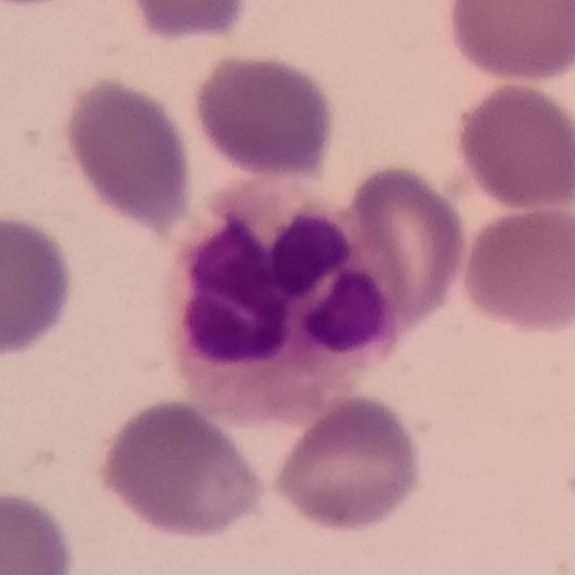

Q: Identify the cell.
A: Neutrophilic granulocyte.